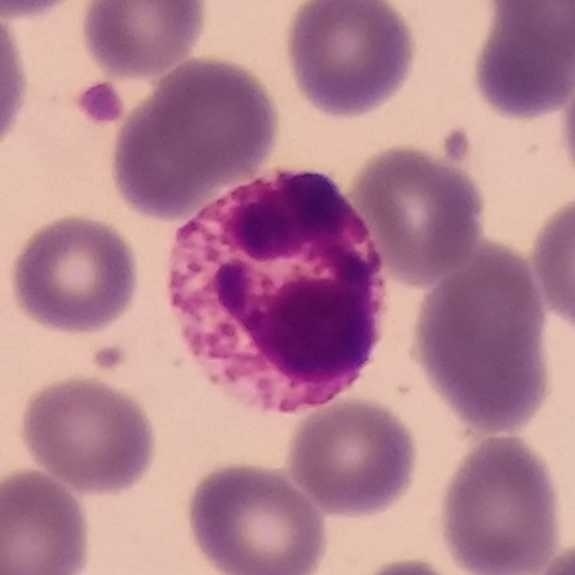

{"cell_type": "neutrophil", "lineage": "myeloid"}
Preparation: Stained with Giemsa; peripheral blood smear; smartphone camera mounted on the microscope eyepiece.